Single-cell field. Giemsa stain. Peripheral blood film — 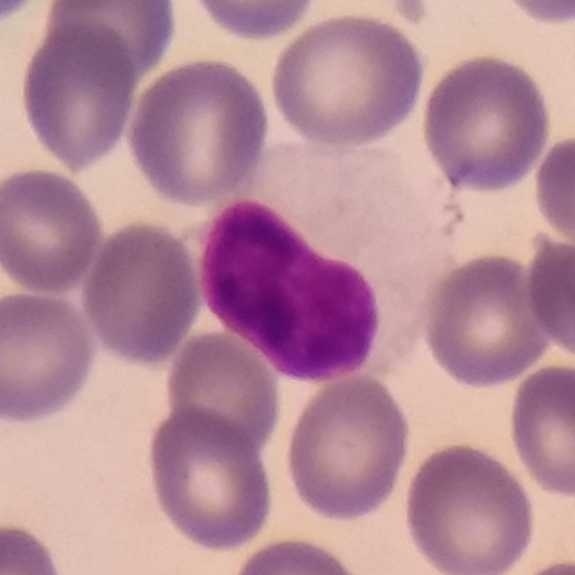

Identified as a lymphocyte.